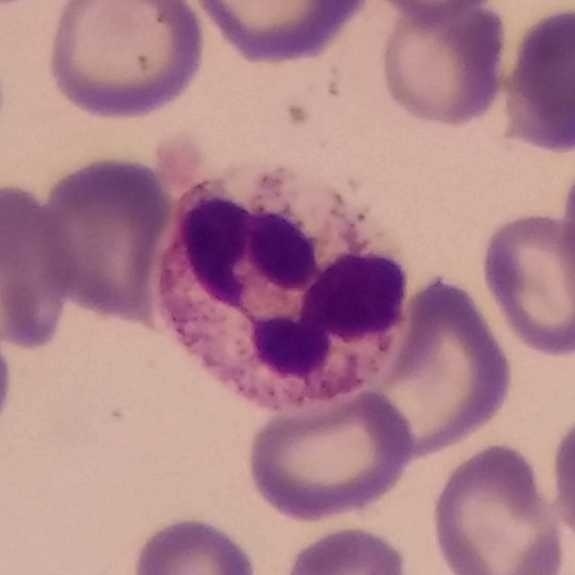
Morphology → neutrophil.
Peripheral blood film.